100× magnification. Peripheral blood film: 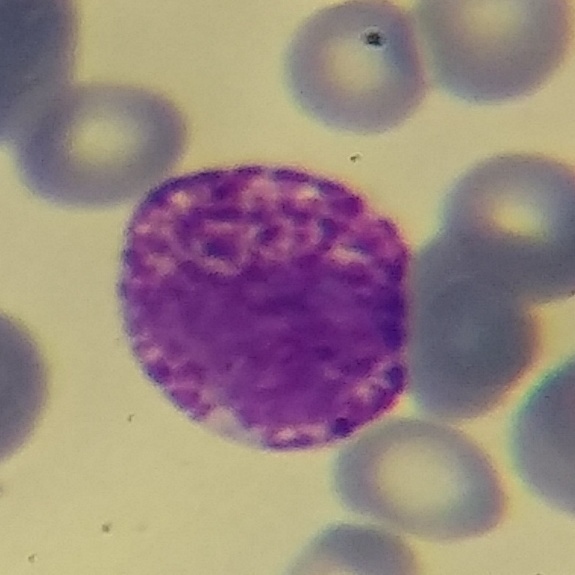

Specimen: peripheral blood smear.
Cell: basophil.